Peripheral blood film — 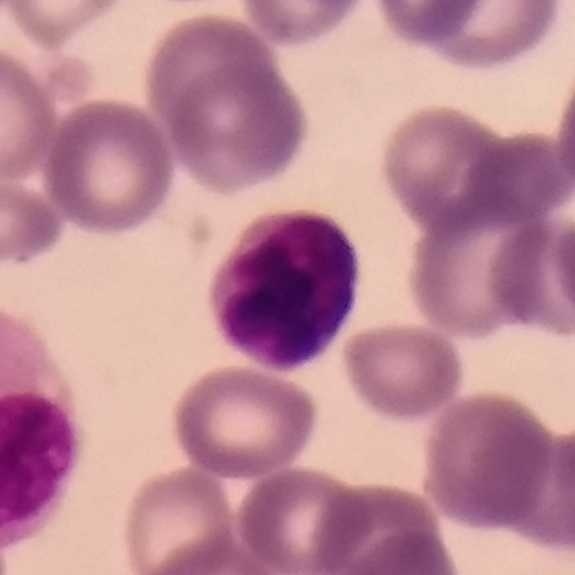

Lymphocyte.